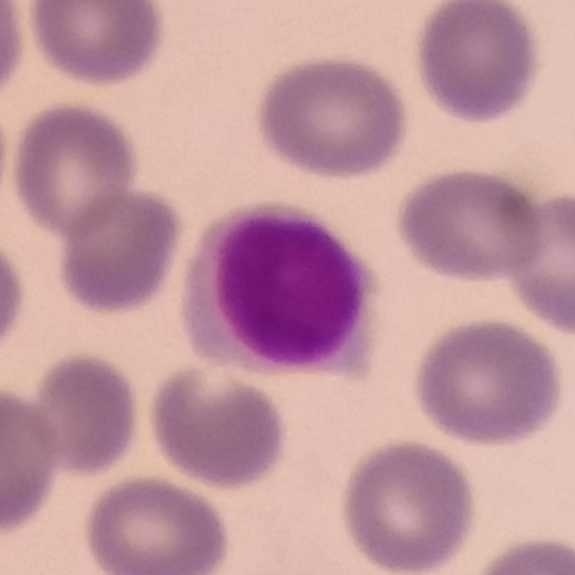

100× magnification; peripheral blood smear; single white blood cell cropped from the smear photograph.
Lymphocyte.